Peripheral blood film; 575×575 px:
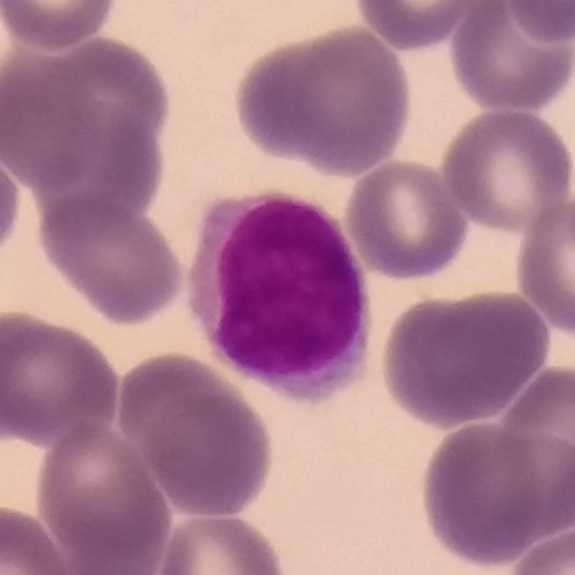
Q: What is shown here?
A: A lymphocyte.